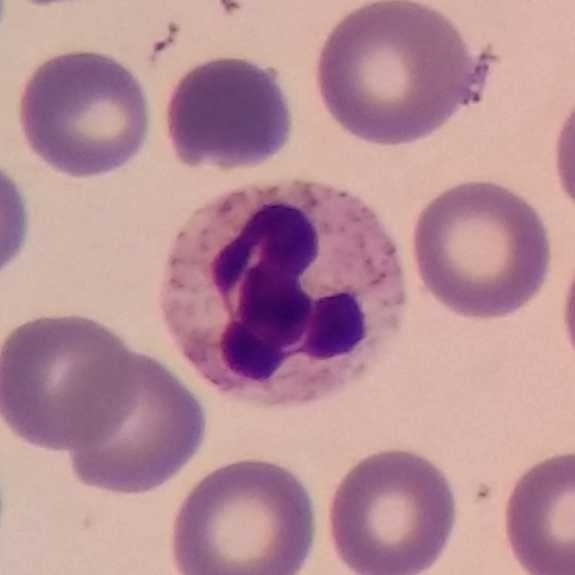 Image: Peripheral blood smear.
The white blood cell in this image is a neutrophilic granulocyte.